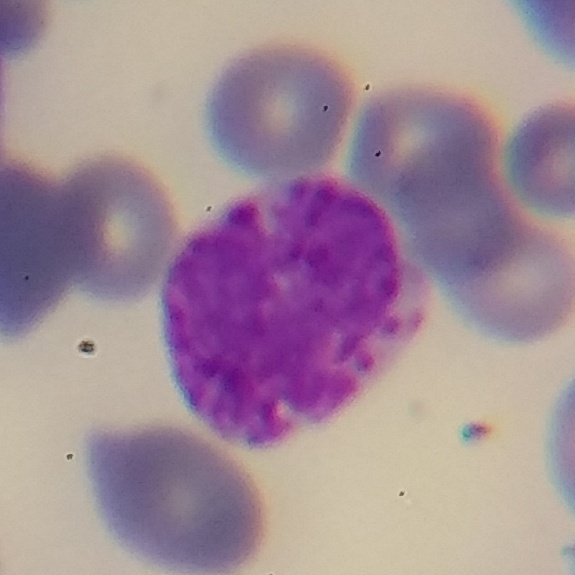Acquisition: Stained with Giemsa; photographed through a light microscope with a smartphone camera; peripheral blood smear.

The white blood cell type is basophil.